Peripheral blood smear:
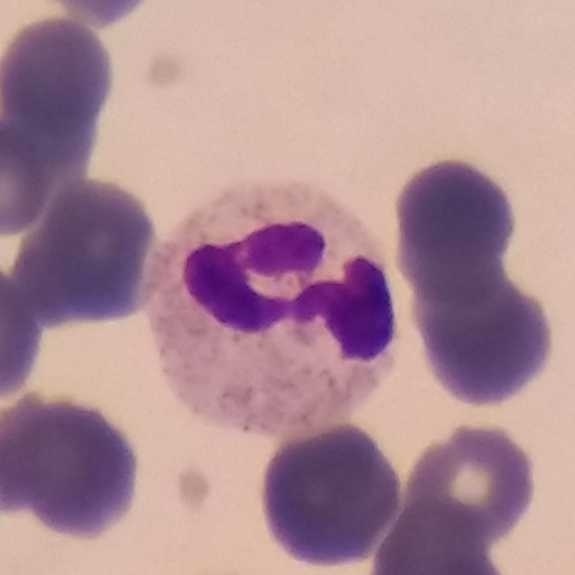

Specimen: peripheral blood smear.
Classification: neutrophil granulocyte.
Lineage: myeloid.